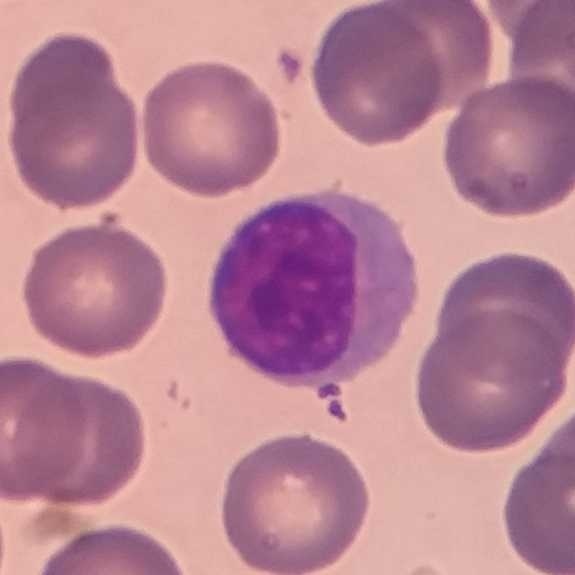
White blood cell type = lymphocyte. Acquisition: Single white blood cell cropped from the smear photograph. Peripheral blood film. Imaged at 100×.